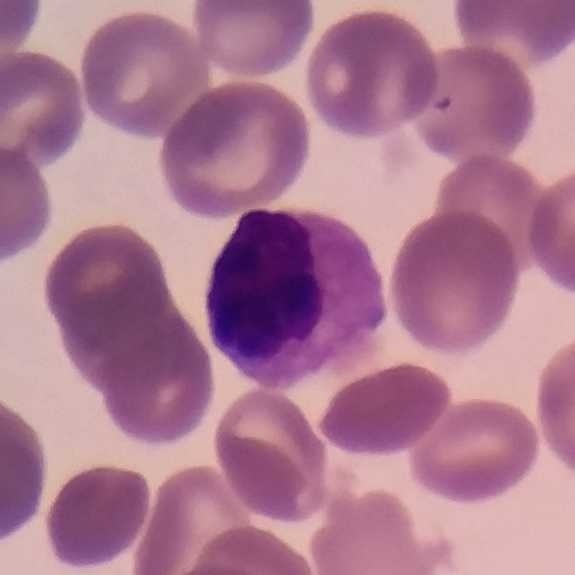Acquisition: Single-cell crop; 100× magnification.

Specimen: peripheral blood smear.
Cell type: lymphocyte.